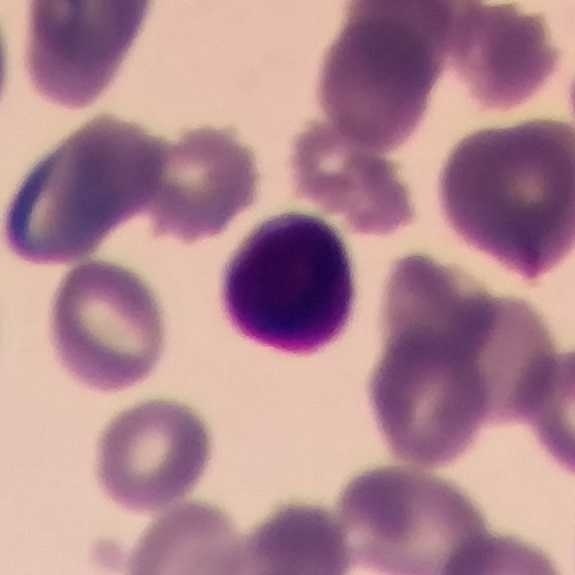
Context: 100× magnification. 575×575 px. Peripheral blood smear.
Morphology consistent with a lymphocyte.